Peripheral blood film:
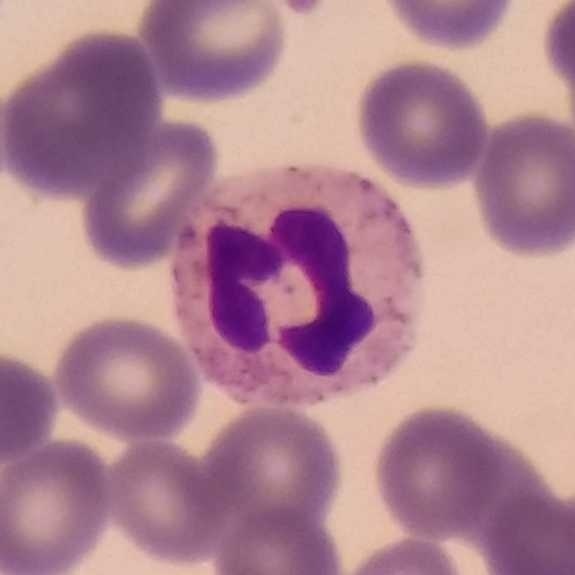Morphology consistent with a neutrophilic granulocyte.